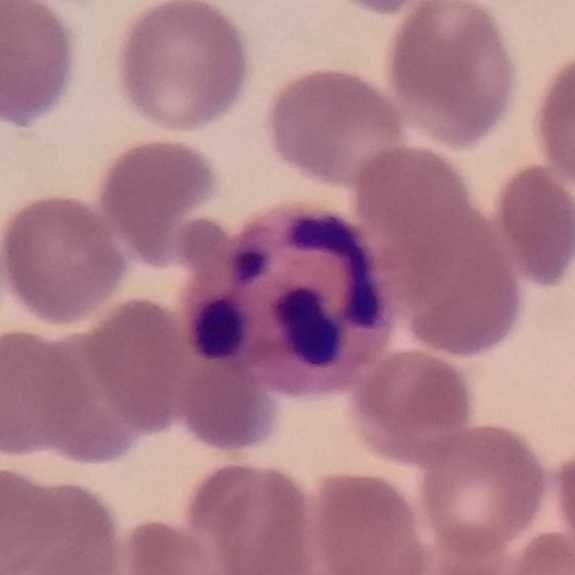

Specimen: peripheral blood smear.
Cell type: neutrophilic granulocyte.